Stained with Giemsa · peripheral blood film · magnification 100×: 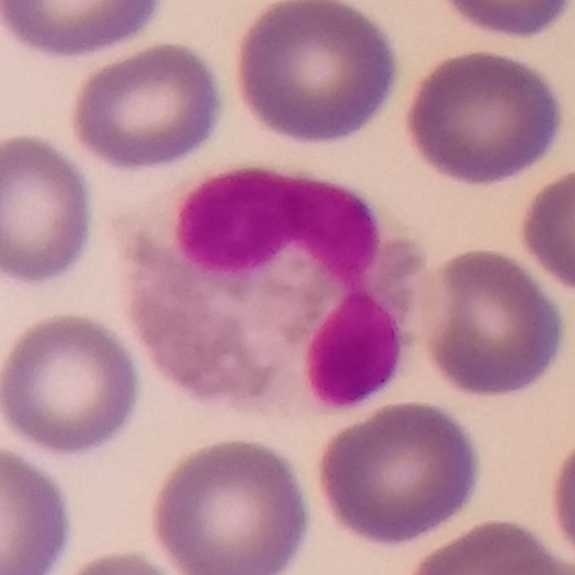 Showing an eosinophilic granulocyte.